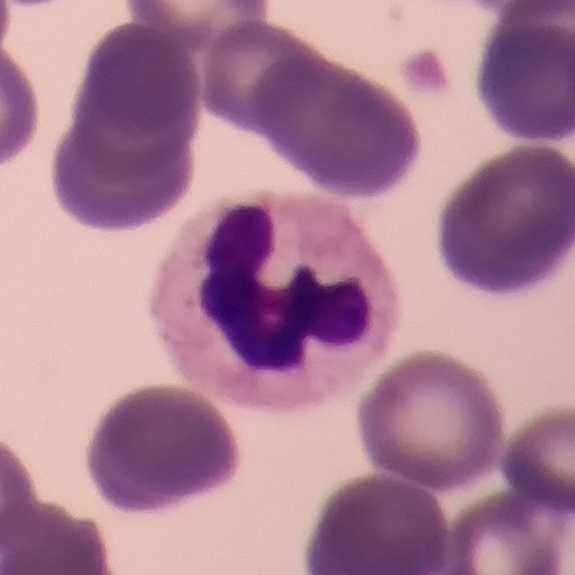
Peripheral blood film.

Neutrophil granulocyte.